Peripheral blood film — 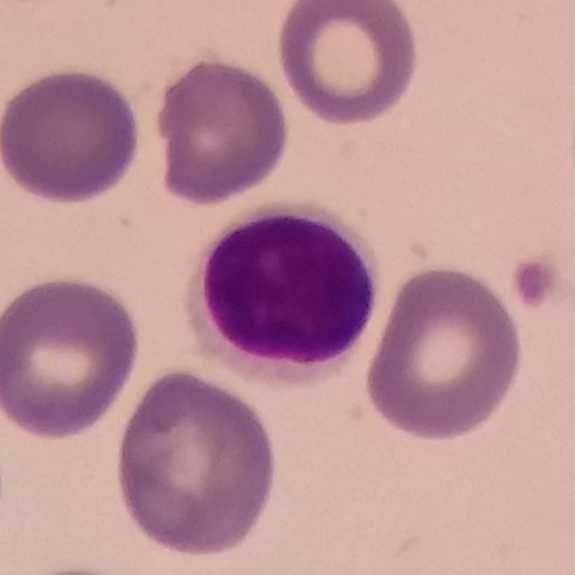

Q: Classify this leukocyte.
A: It is a lymphocyte.